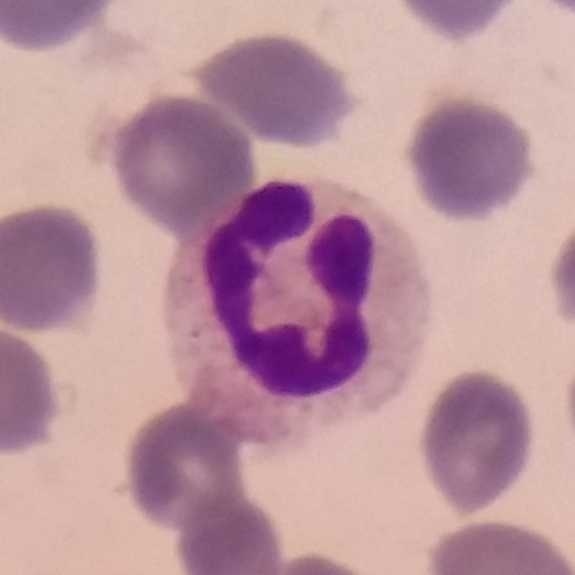Morphology → neutrophil granulocyte. Context: Peripheral blood smear · cropped to one leukocyte.